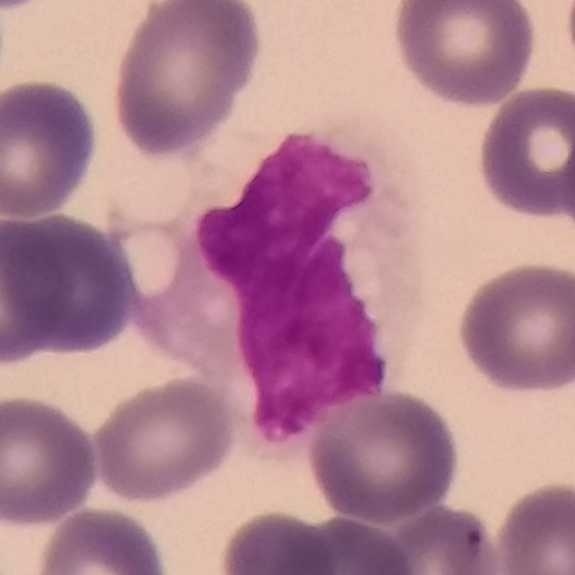

Preparation: Smartphone camera mounted on the microscope eyepiece · peripheral blood film. Morphology consistent with a monocyte.